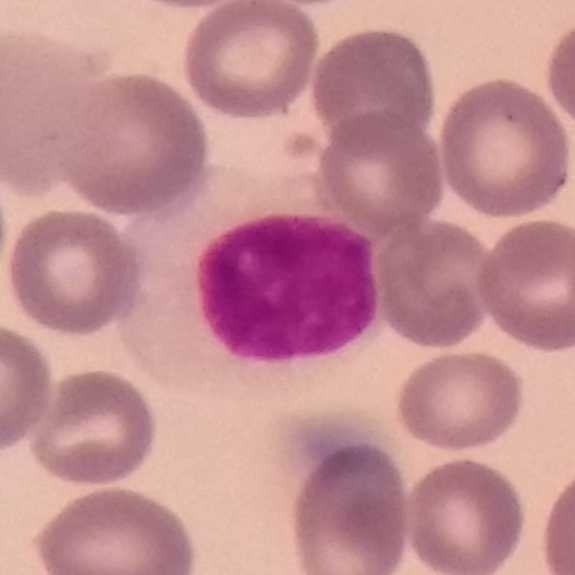
Q: Which type of white blood cell is this?
A: This is a lymphocyte.